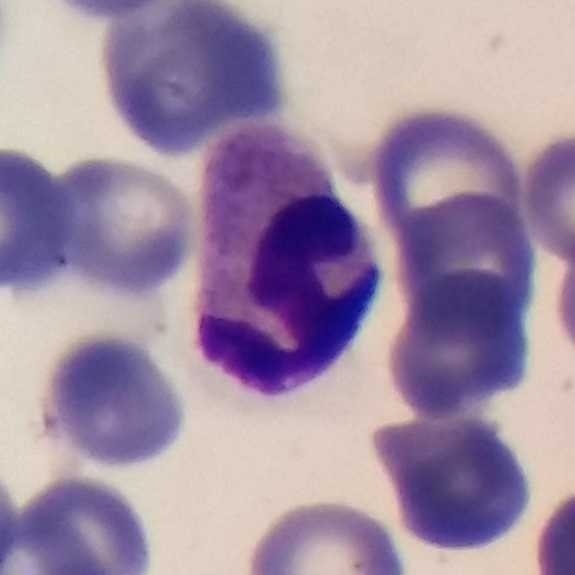
Specimen: peripheral blood smear.
Cell type: neutrophilic granulocyte.
Lineage: myeloid.